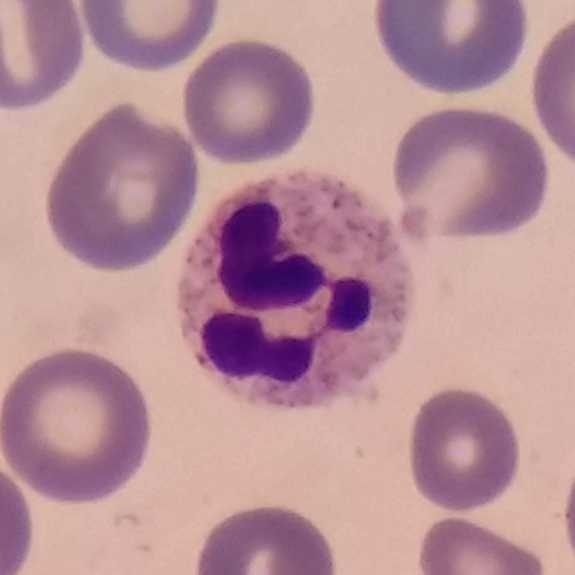
Showing a neutrophil granulocyte.